Peripheral blood film: 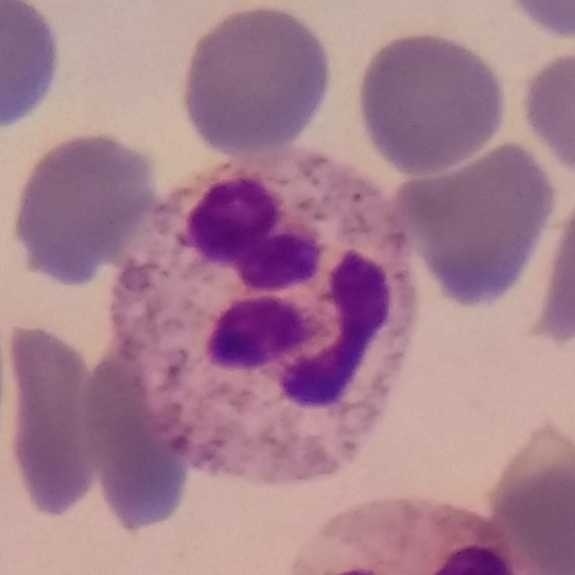

Morphology — neutrophil granulocyte.